Smartphone camera mounted on the microscope eyepiece · peripheral blood smear
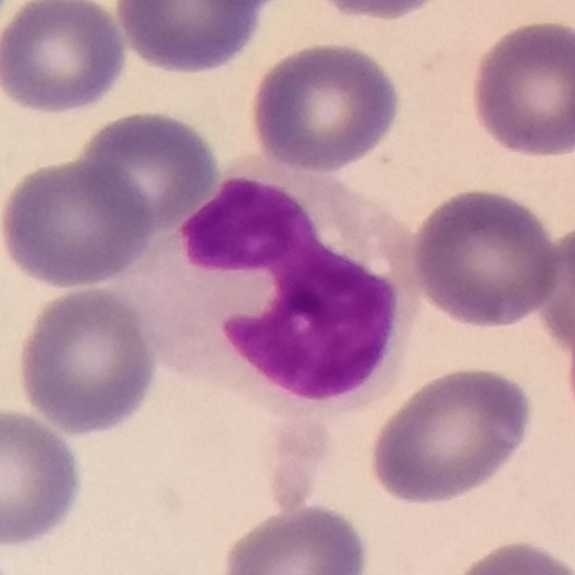 A monocyte.